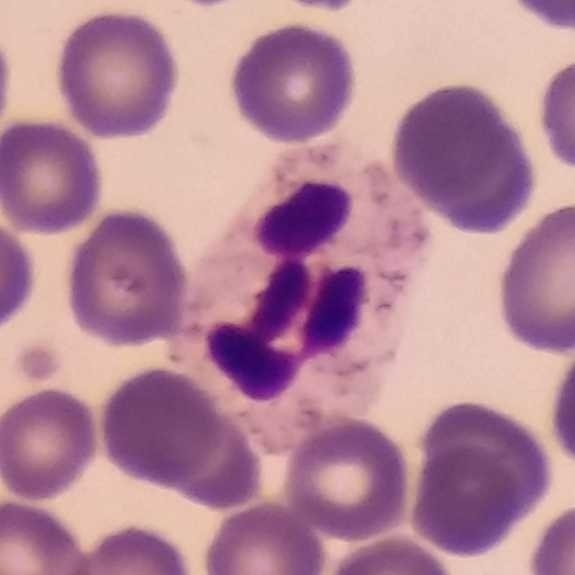
Neutrophil.
Preparation: Smartphone photomicrograph. 575 by 575 pixels. Peripheral blood film.